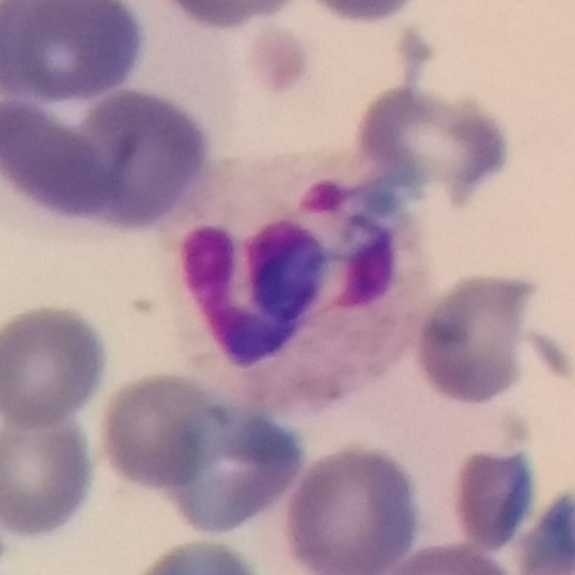 Impression — neutrophilic granulocyte.